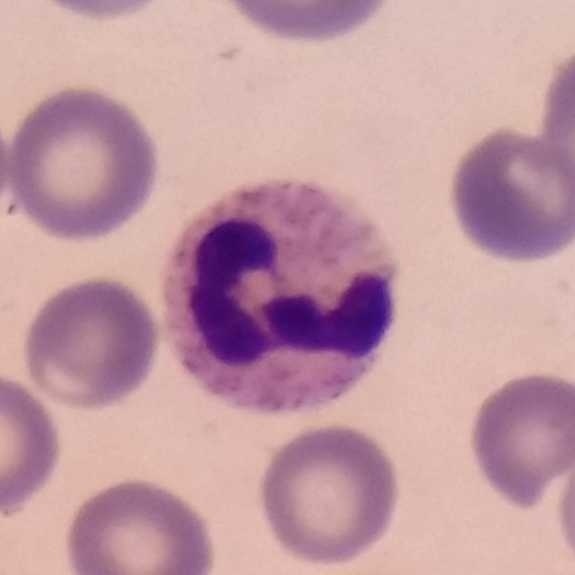 A neutrophilic granulocyte.
Smartphone camera mounted on the microscope eyepiece. Peripheral blood film. 575×575 px.